Peripheral blood smear:
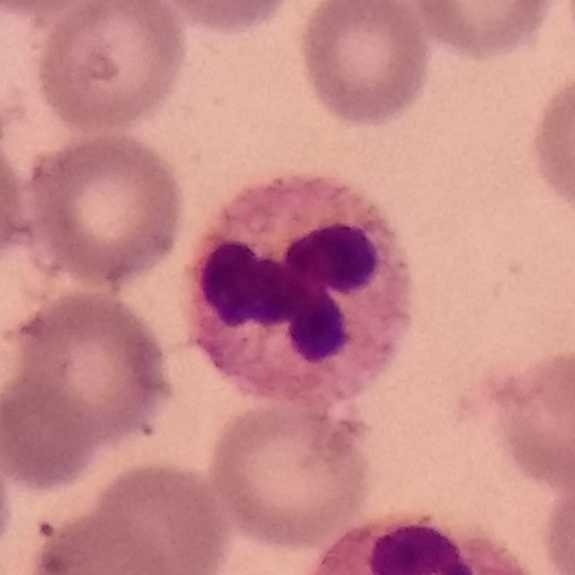
The cell shown is a neutrophil.